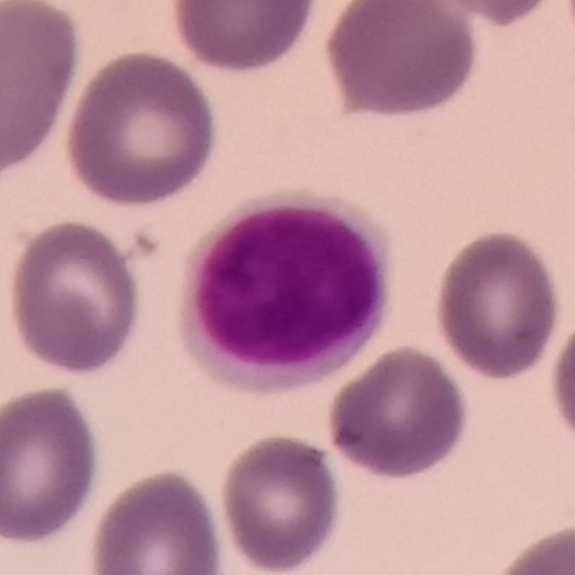Preparation: Peripheral blood smear.

Cell type: lymphocyte.